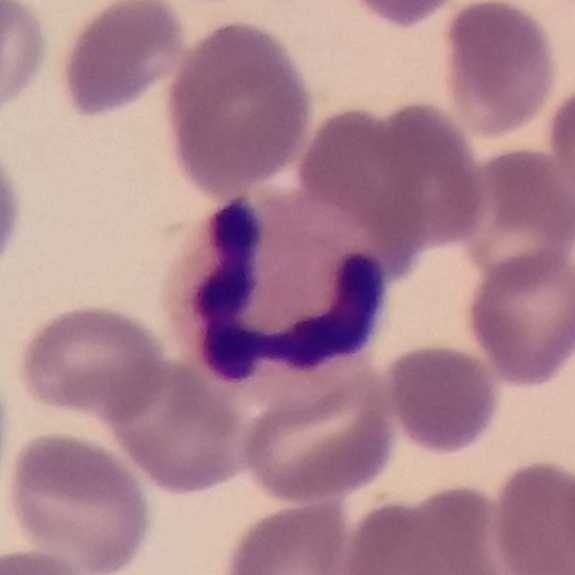

Morphology → neutrophil.